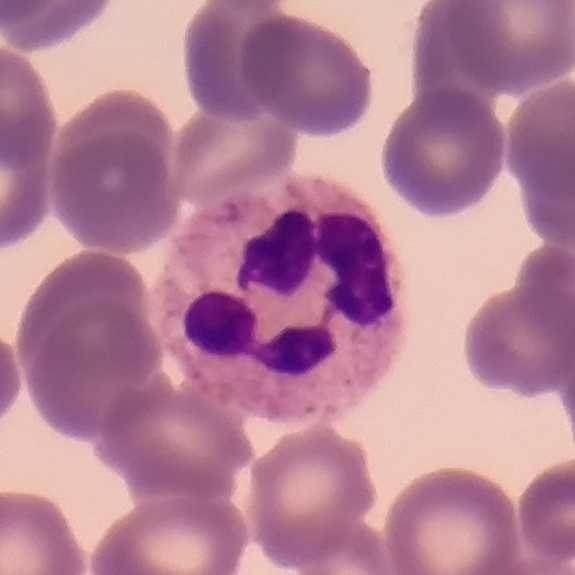
Classification: neutrophil. Image: Peripheral blood smear · imaged at 100×.